Magnification 100× · peripheral blood smear
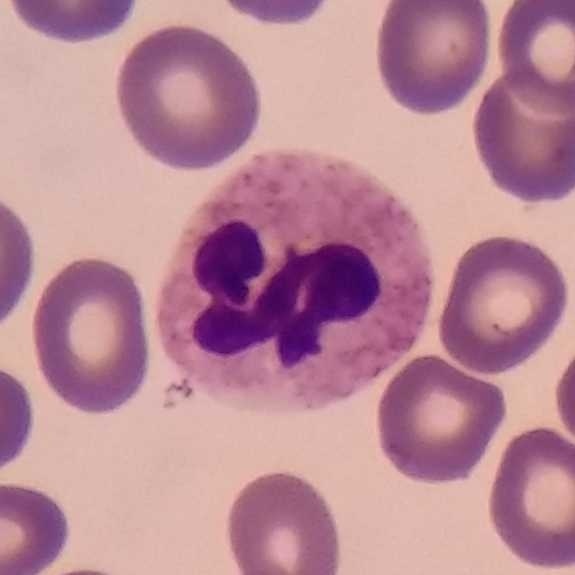This is a neutrophil.